Peripheral blood film.
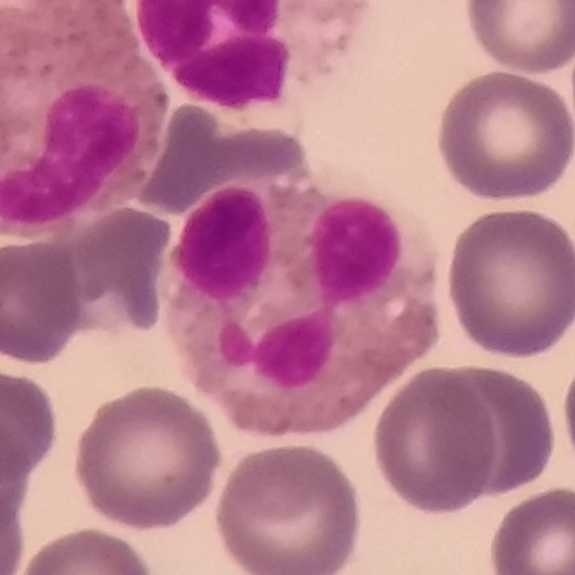

The white blood cell type is eosinophilic granulocyte.